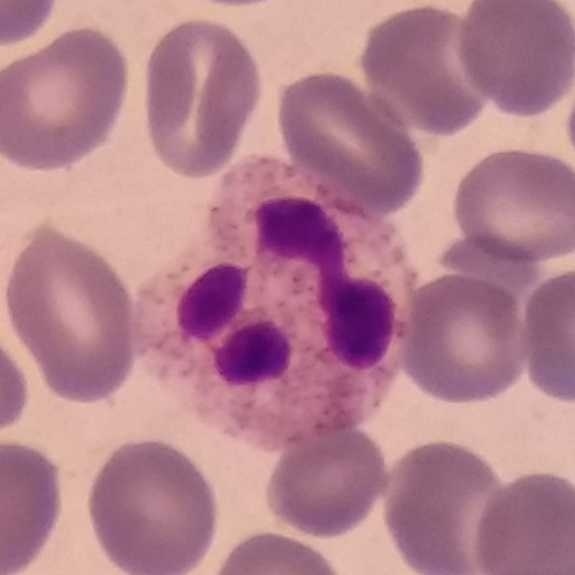
The cell shown is a neutrophil granulocyte.